Giemsa-stained · peripheral blood smear: 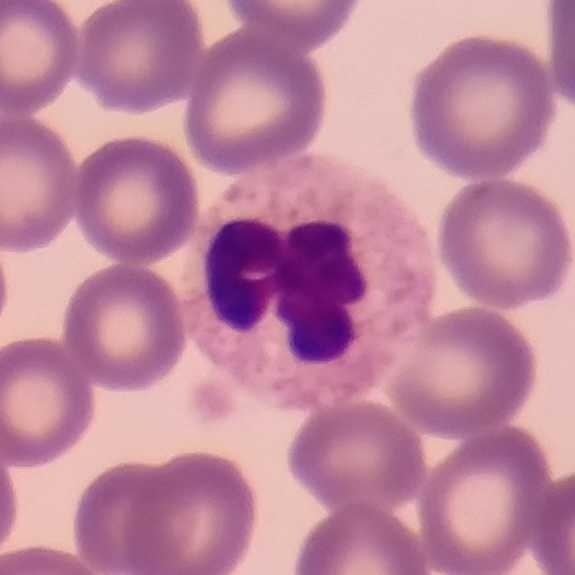Q: Identify the cell.
A: A neutrophil granulocyte.